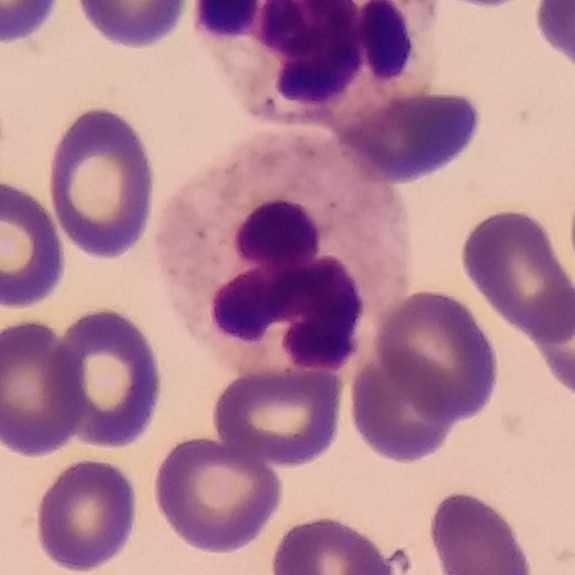
Context: Peripheral blood smear.

The white blood cell in this image is a neutrophil.